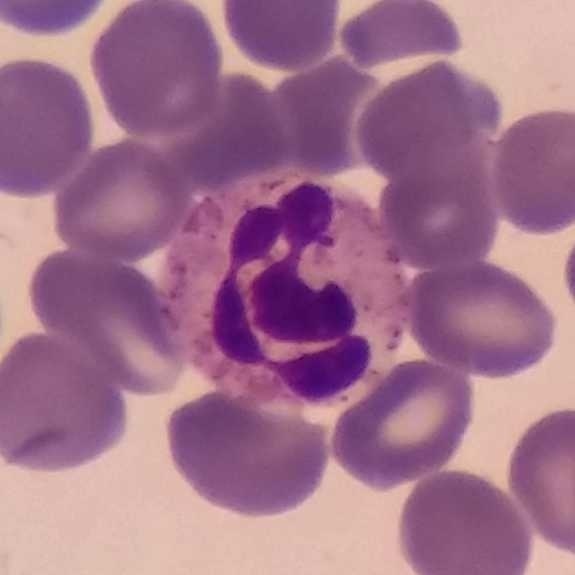 Specimen: peripheral blood film.
Cell type: neutrophil granulocyte. Giemsa-stained.